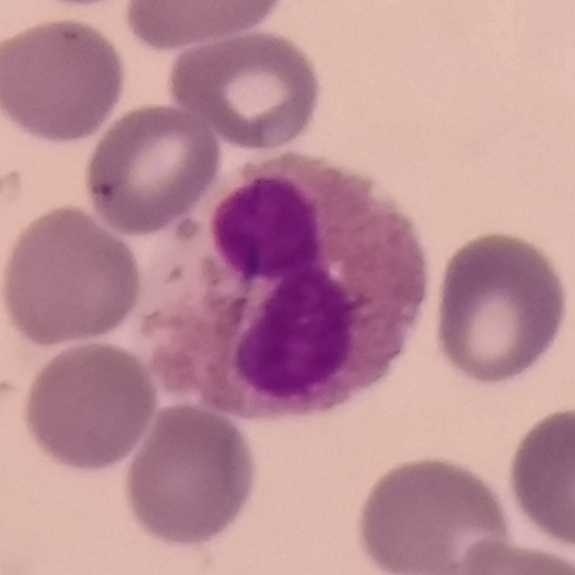

Context: Peripheral blood smear. White blood cell type — eosinophil.